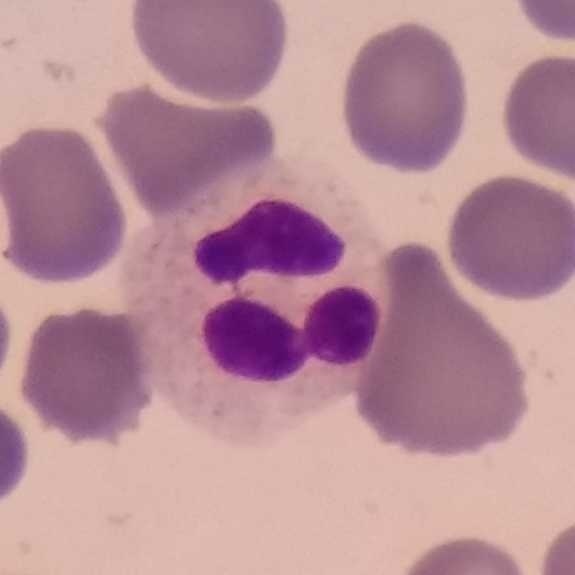Specimen: peripheral blood smear.
Cell: neutrophilic granulocyte.